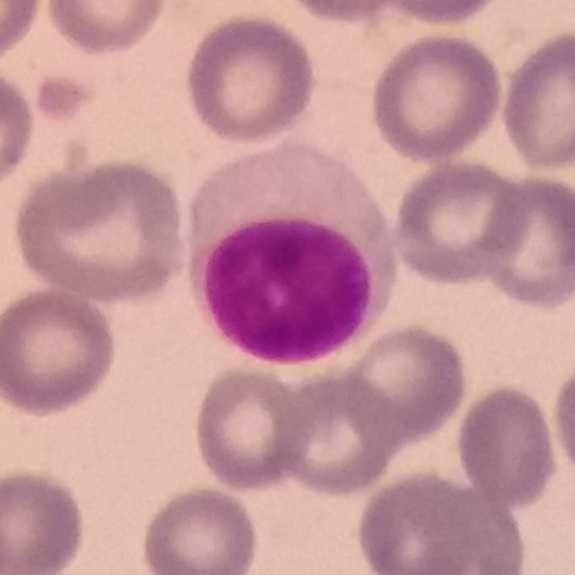 Acquisition: Peripheral blood smear.

Classification = lymphocyte.